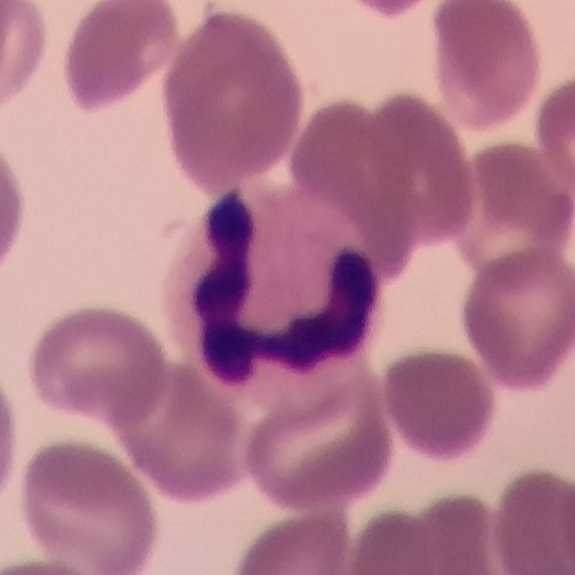
Single cell identified as a neutrophil granulocyte.

Peripheral blood film.